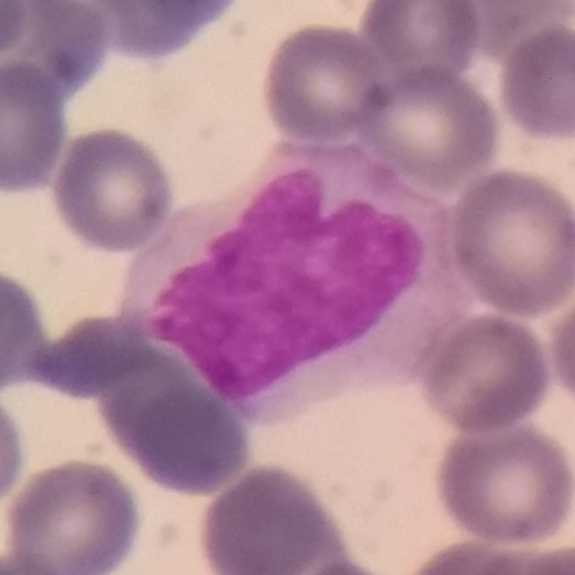Peripheral blood smear.
Identified as a monocyte.